Peripheral blood smear.
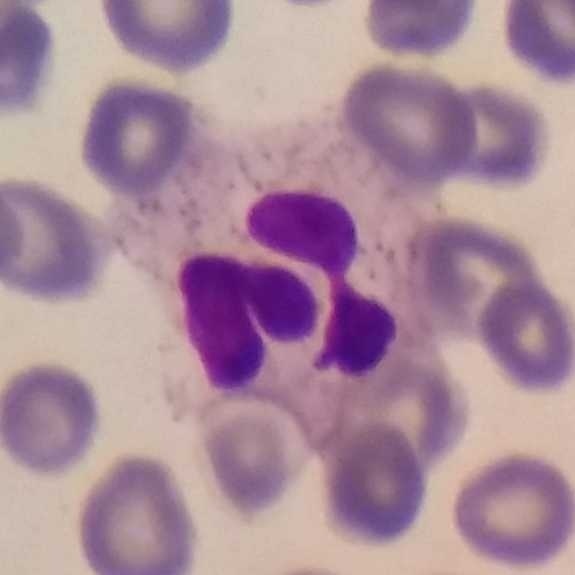 Specimen: peripheral blood film.
Classification: neutrophil granulocyte.
Lineage: myeloid.